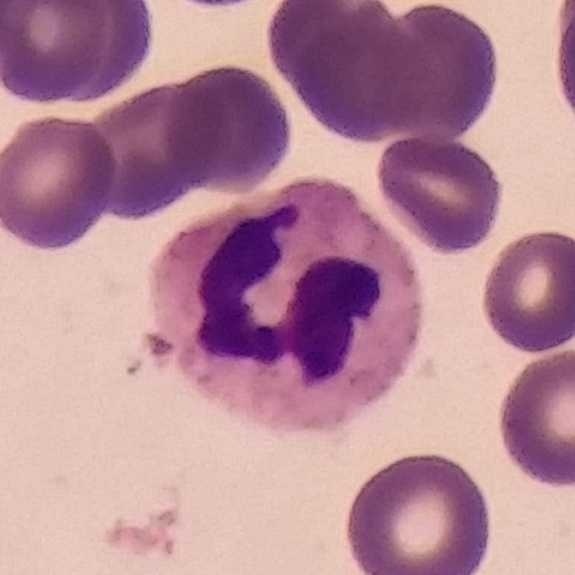

Image: Peripheral blood film · Giemsa-stained. Identified as a neutrophil.